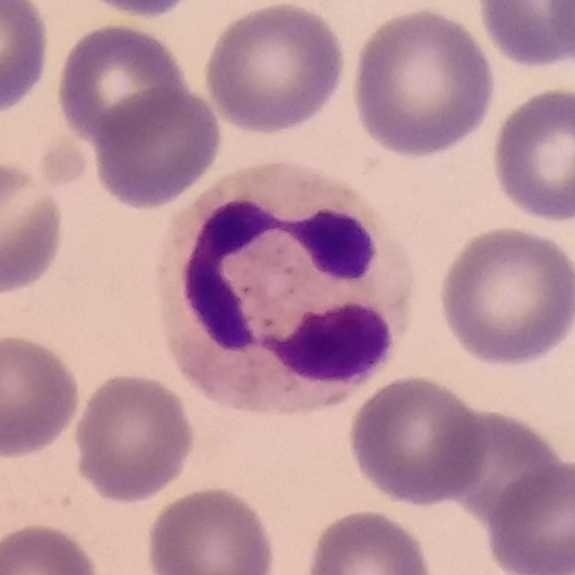Single-cell field. Peripheral blood film.

Showing a neutrophilic granulocyte.